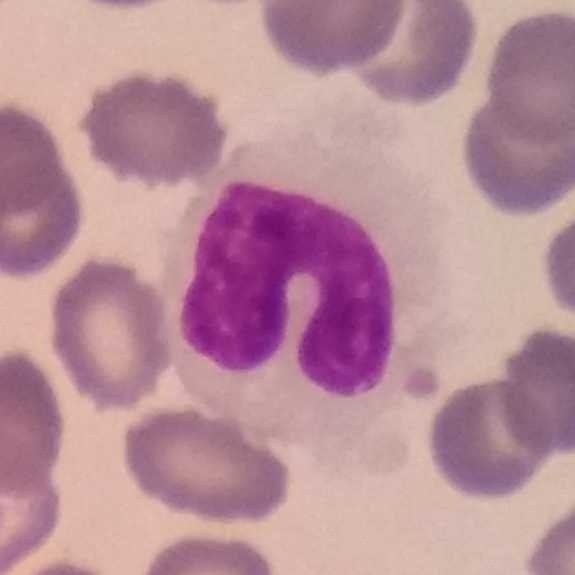Q: What cell is this?
A: A monocyte.

Peripheral blood film.